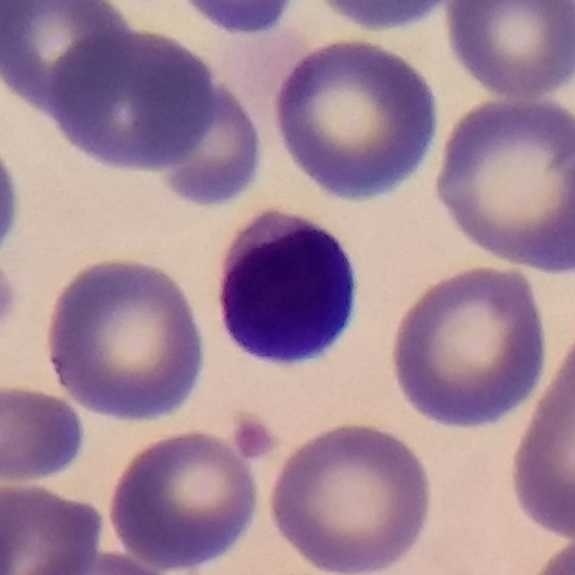Cell: lymphocyte.
Preparation: Peripheral blood smear · 575×575 px.